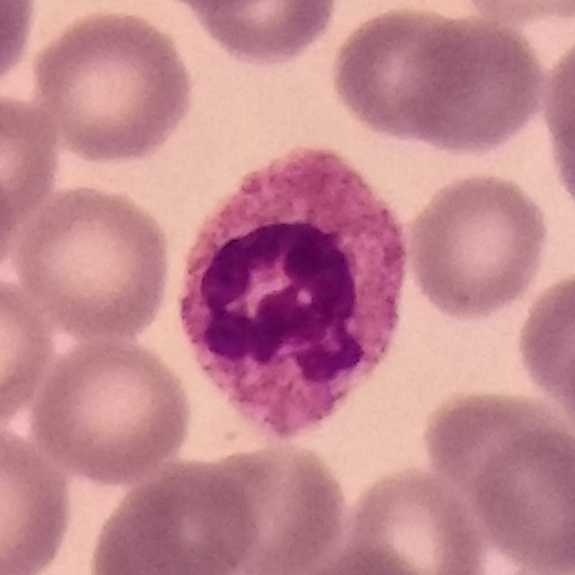 Q: Which cell type is shown here?
A: Neutrophil.